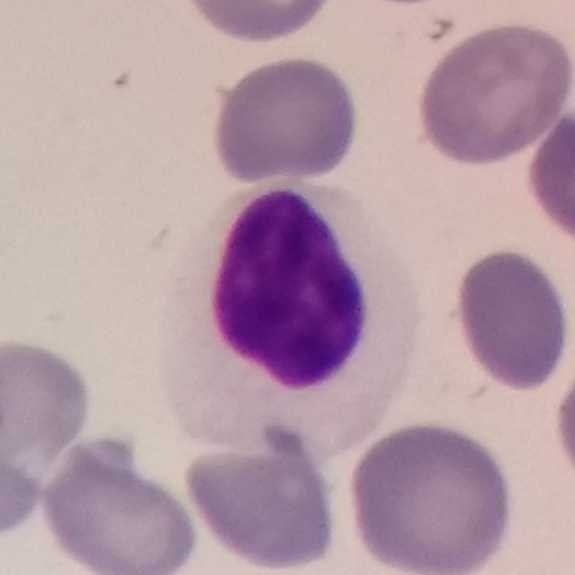 Cell type = lymphocyte.